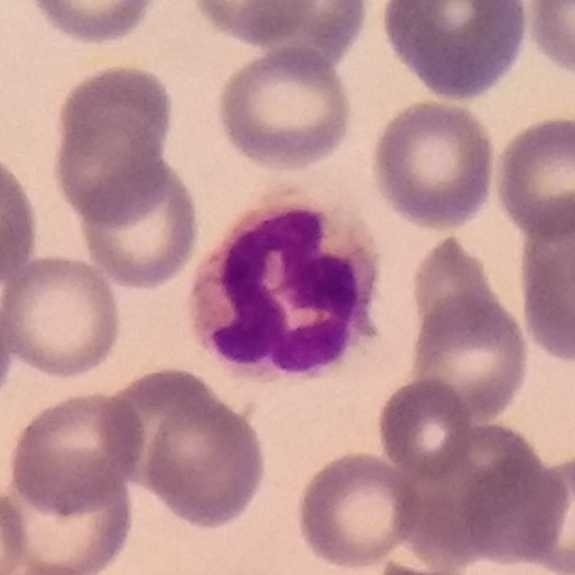Morphology consistent with a neutrophilic granulocyte.